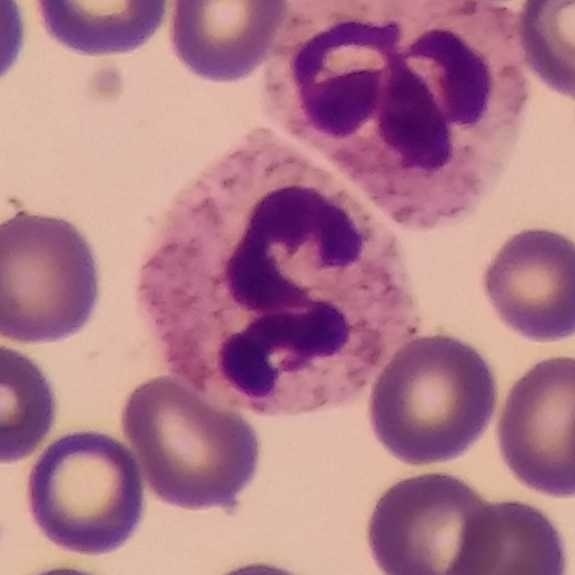

Peripheral blood film · 575×575 · cropped to one leukocyte.
A neutrophil.